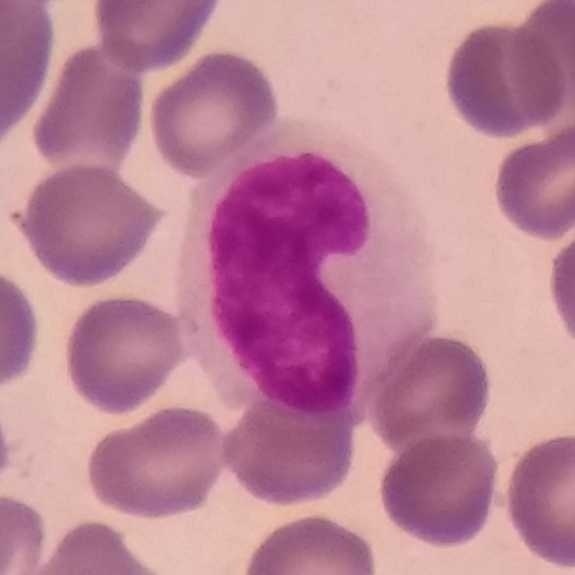

Showing a monocyte.
Context: Peripheral blood smear.